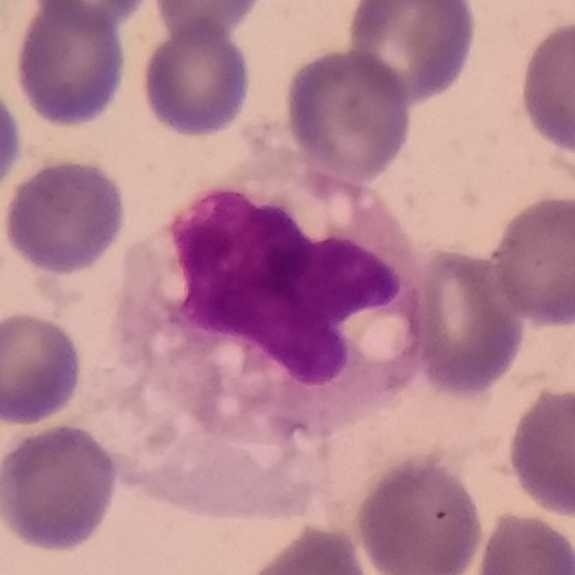

Identified as a monocyte. Peripheral blood film.